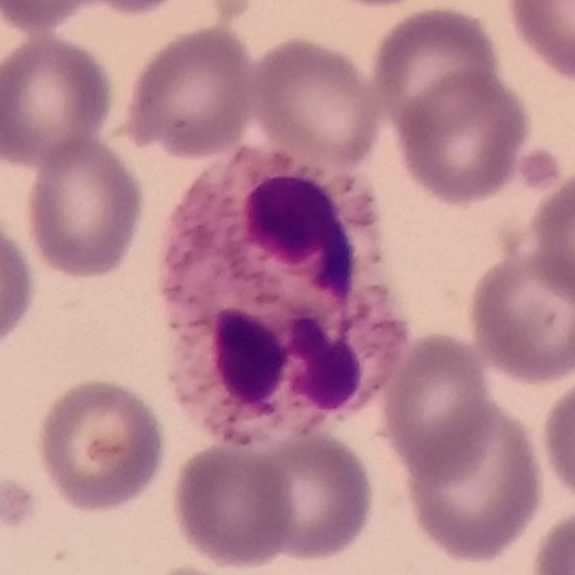Q: Identify the cell.
A: A neutrophil.
Acquisition: Peripheral blood film; Giemsa stain; image size 575×575.